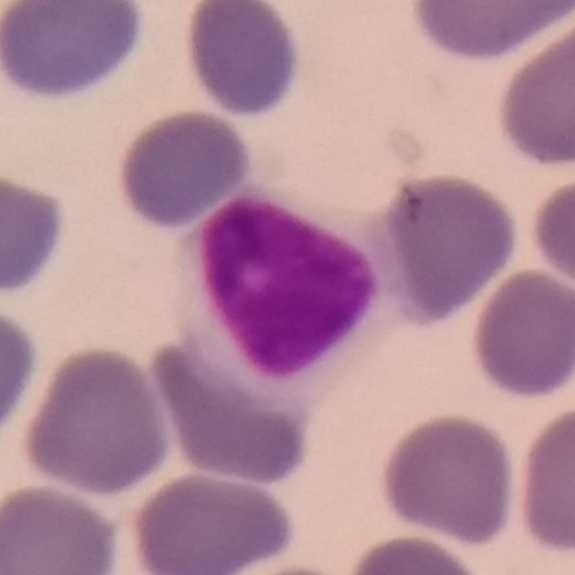 Q: Which cell type is shown here?
A: A lymphocyte.

Peripheral blood film; 100× magnification.